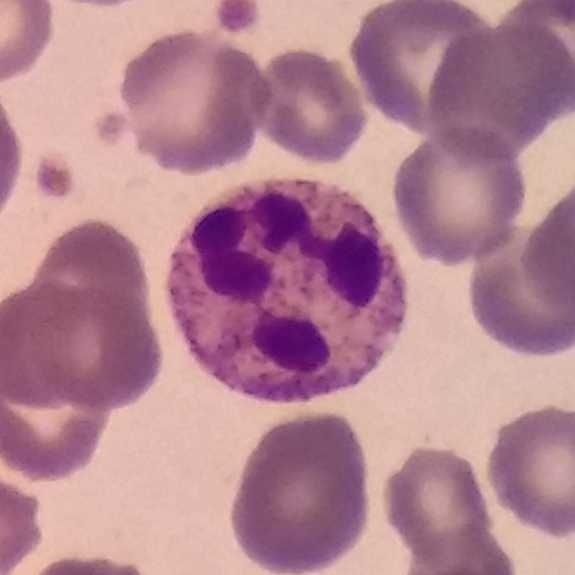

The morphological class is neutrophilic granulocyte. Context: Peripheral blood smear.